Peripheral blood film — 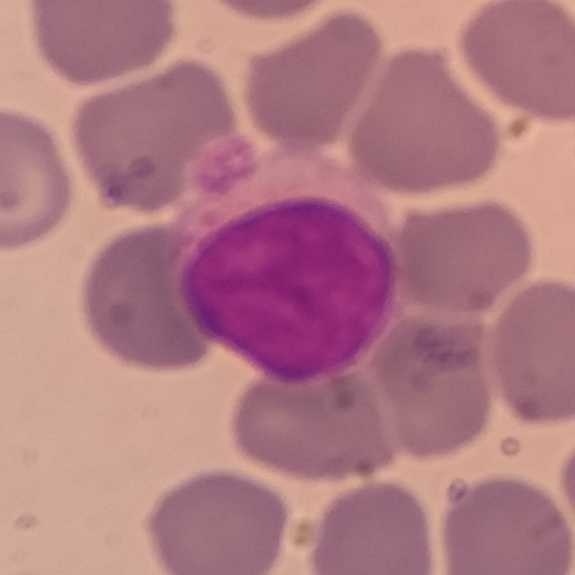
The cell shown is a lymphocyte.